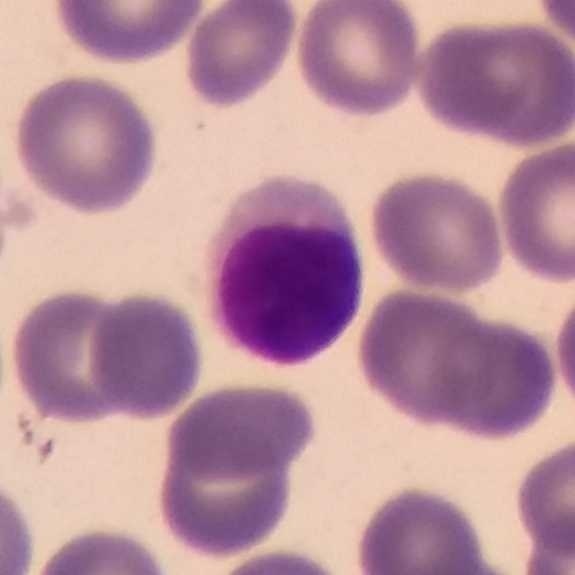 Peripheral blood smear. Impression → lymphocyte.